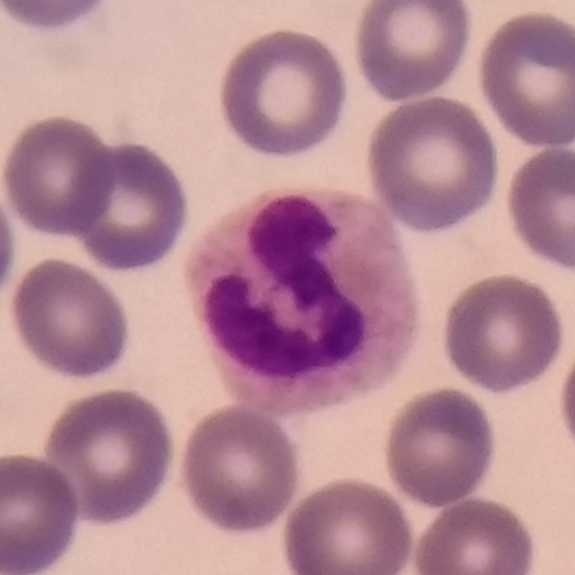 Preparation: Peripheral blood film. 575×575 px.

Q: What is shown here?
A: A neutrophilic granulocyte.